Peripheral blood smear — 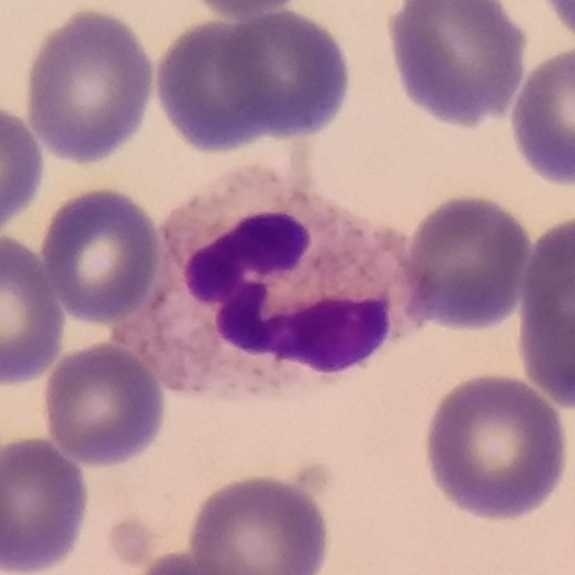

Cell — neutrophil granulocyte.